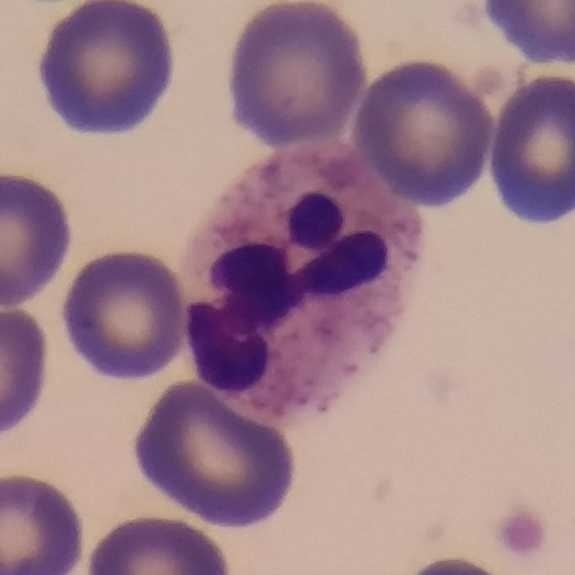
Specimen: peripheral blood smear.
Cell type: neutrophil granulocyte.
Lineage: myeloid.